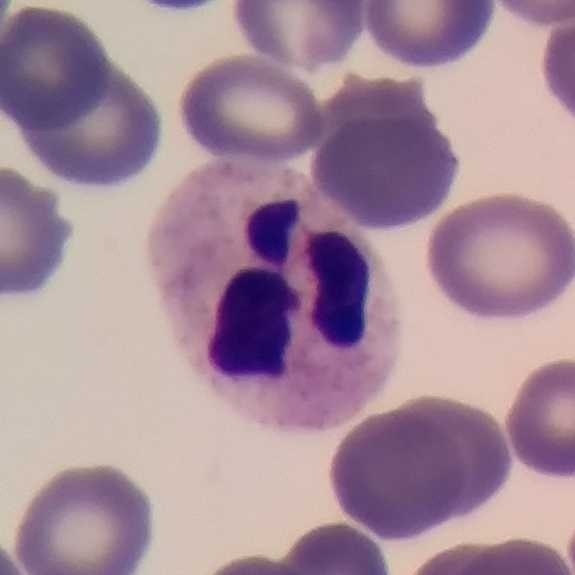 The cell shown is a neutrophil granulocyte.